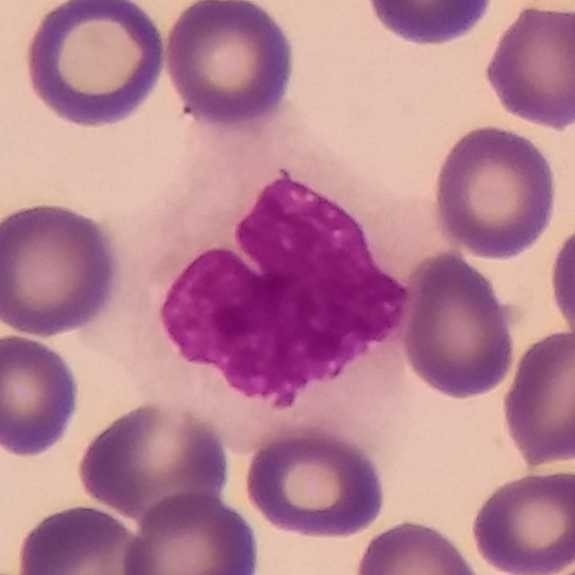 Cell type = monocyte.